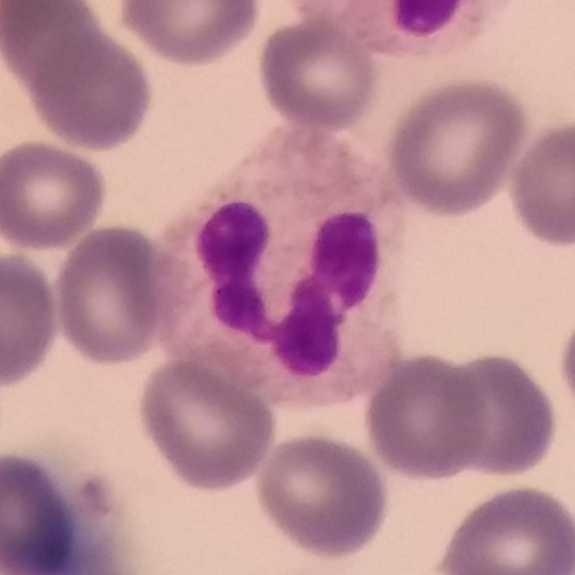

{"cell_type": "neutrophil", "lineage": "myeloid"}
Image: Image size 575×575 · peripheral blood film.